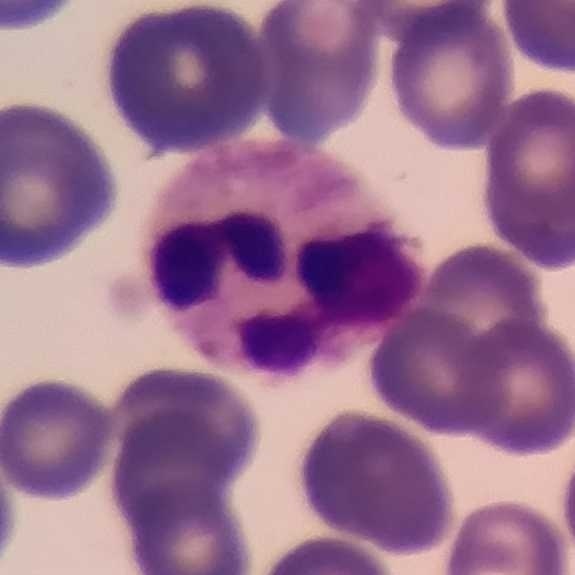White blood cell from a peripheral blood smear: neutrophil granulocyte.